Peripheral blood smear: 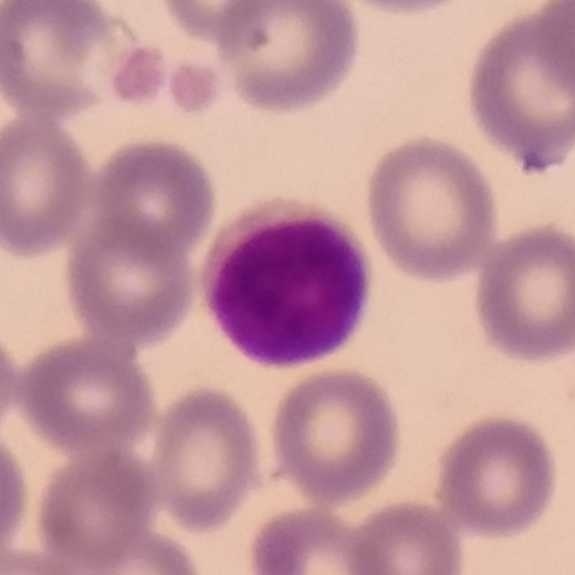
Impression — lymphocyte.